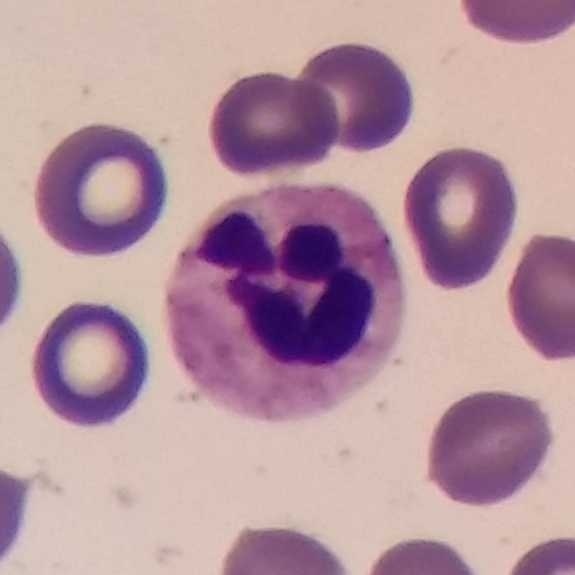 Specimen: peripheral blood smear.
Cell: neutrophil.